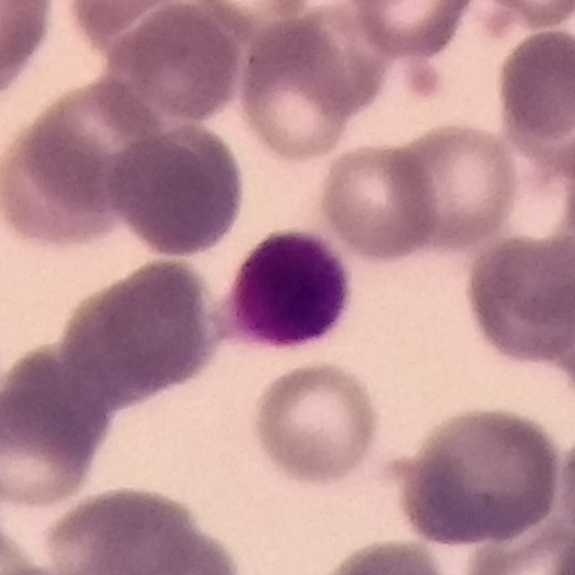 Q: What cell is this?
A: Lymphocyte.